Peripheral blood smear
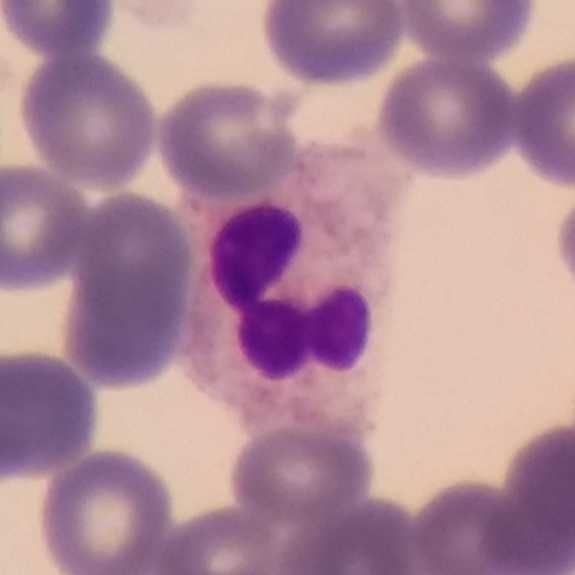Morphological class: neutrophil.